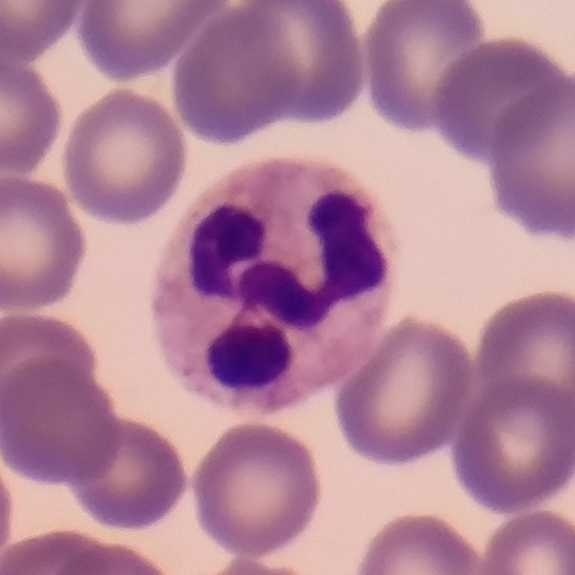

Single cell identified as a neutrophilic granulocyte. Preparation: Peripheral blood smear; smartphone camera mounted on the microscope eyepiece.